Image size 575×575 · peripheral blood smear.
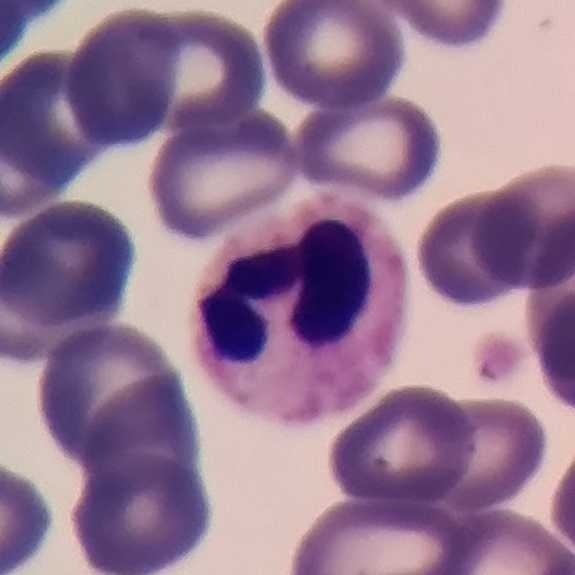
Q: What is shown here?
A: This is a neutrophilic granulocyte.